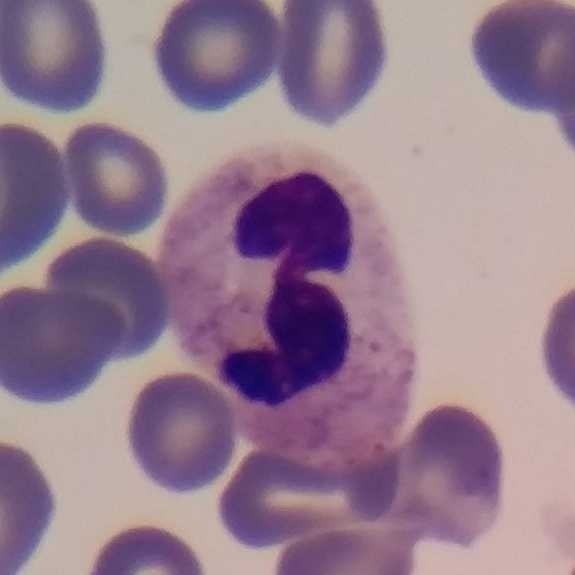Cell type: neutrophil. Preparation: Image size 575×575; single-cell field; peripheral blood smear.